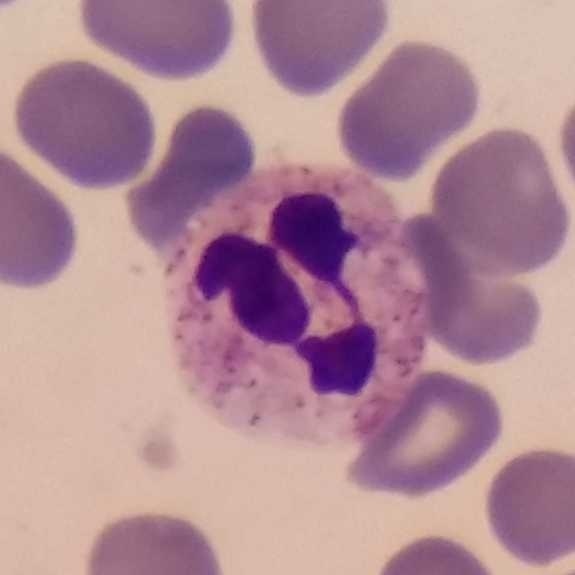Morphological class — neutrophilic granulocyte.